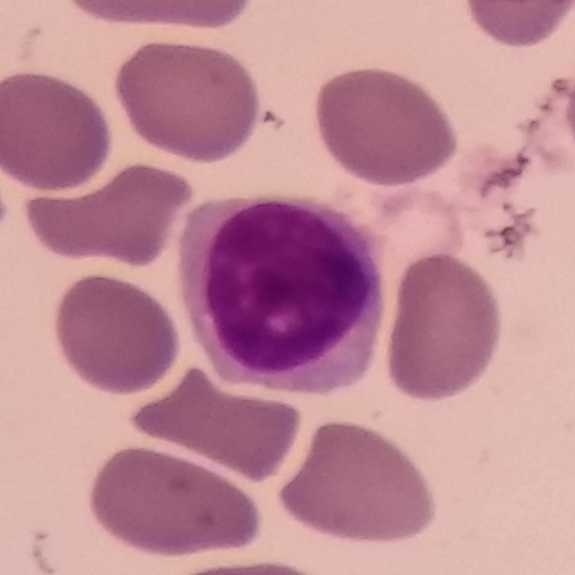
Cell type = lymphocyte.